575 by 575 pixels; smartphone photomicrograph; peripheral blood smear
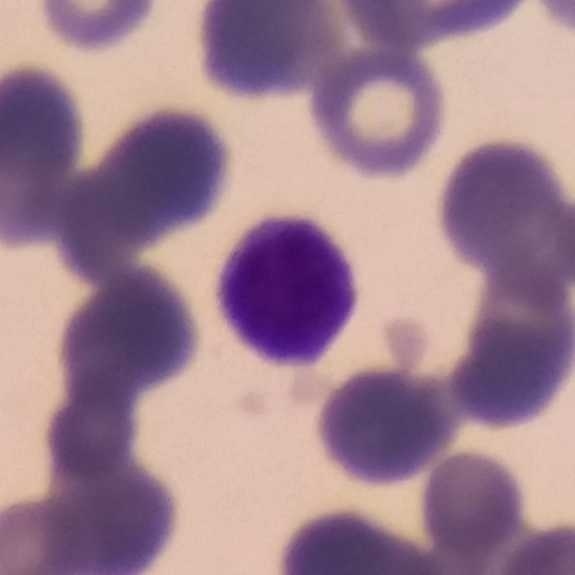

Lymphocyte.